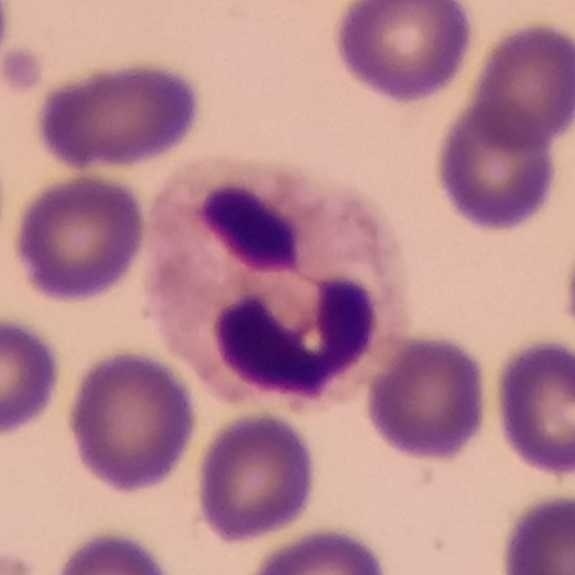

Specimen: peripheral blood smear.
White blood cell type: neutrophil granulocyte.
Lineage: myeloid.